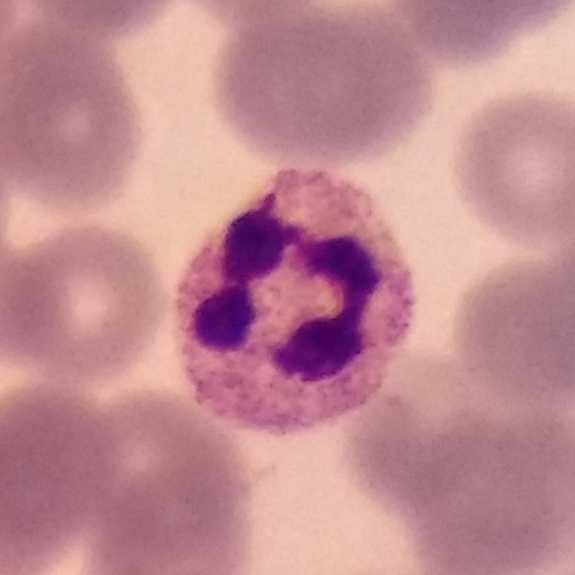

Image: Peripheral blood smear. The cell is neutrophil granulocyte.